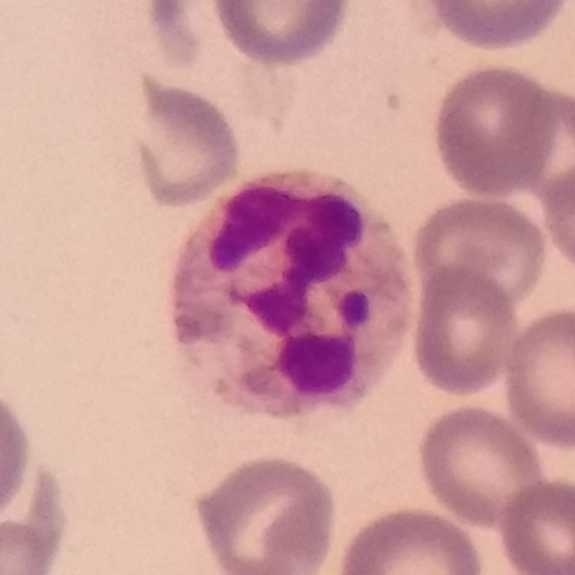
Impression — neutrophil granulocyte. Preparation: Peripheral blood film. 100× magnification.